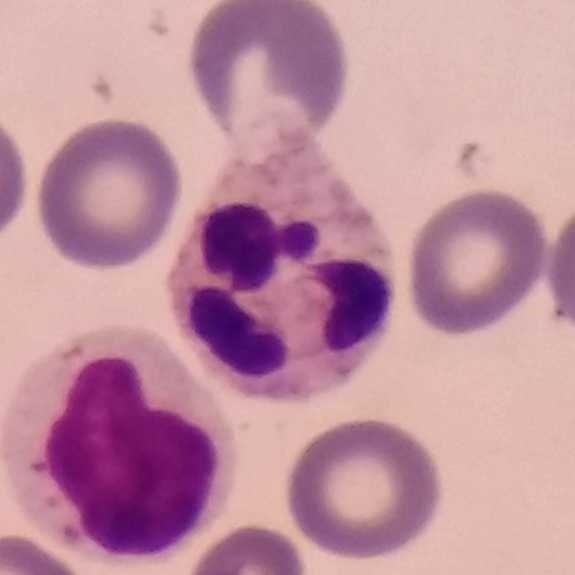 Cell type — neutrophil.
Preparation: Peripheral blood film.